Photographed through a light microscope with a smartphone camera. Giemsa-stained. Peripheral blood film
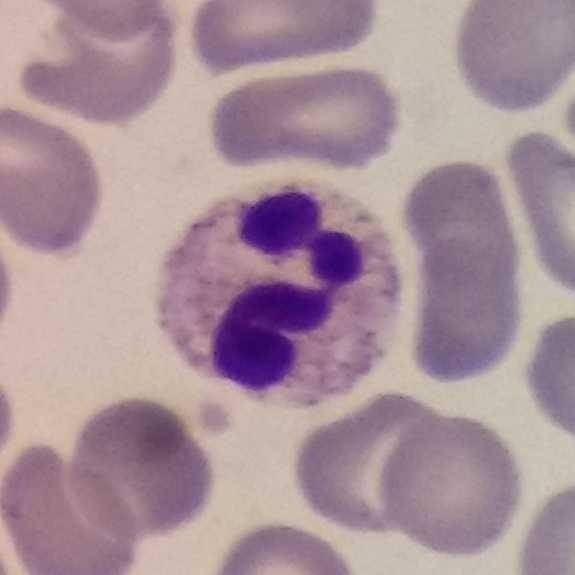Q: Which cell type is shown here?
A: It is a neutrophil granulocyte.